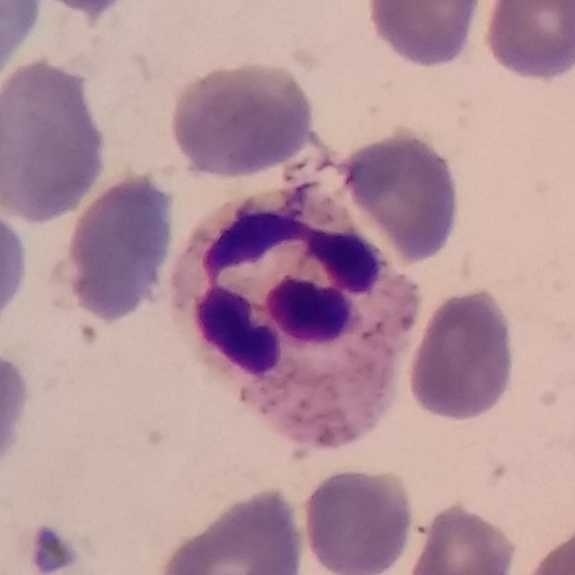
Morphology consistent with a neutrophilic granulocyte.

Peripheral blood smear.